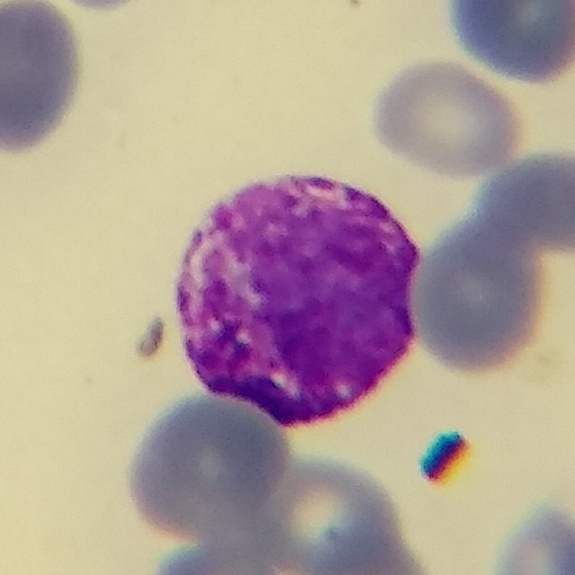

This is a basophilic granulocyte.